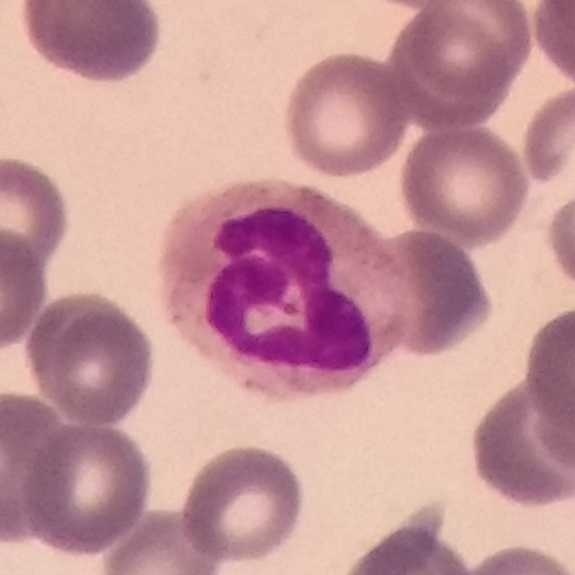

White blood cell from a peripheral blood smear: neutrophil granulocyte.